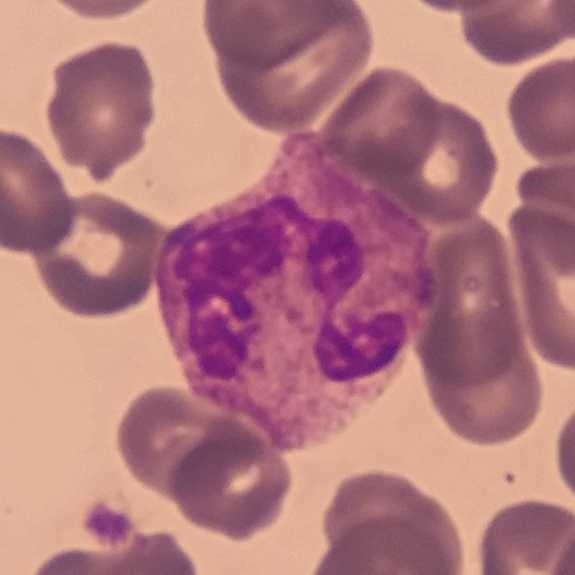 Morphology — neutrophil granulocyte. Acquisition: Stained with Giemsa · image size 575×575 · peripheral blood film.